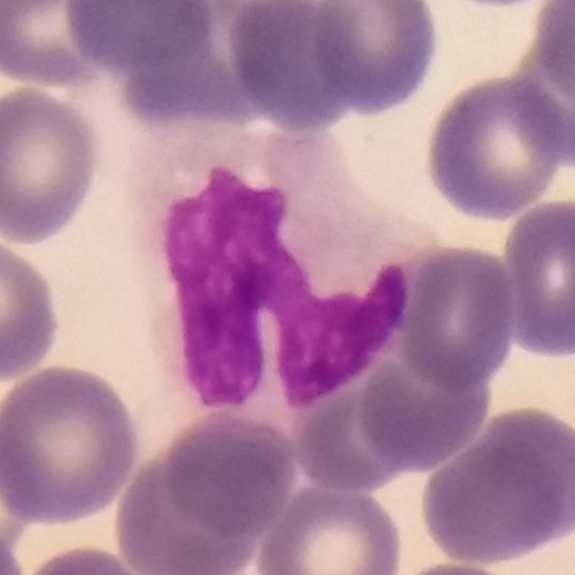
Peripheral blood smear. The cell shown is a monocyte.